Peripheral blood smear.
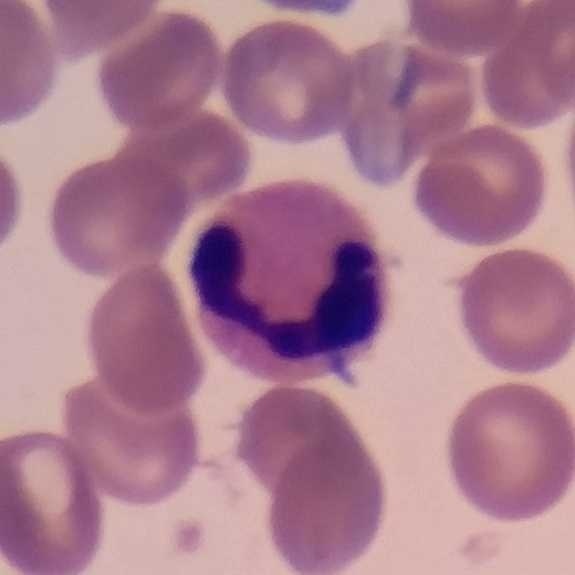
Identified as a neutrophil.